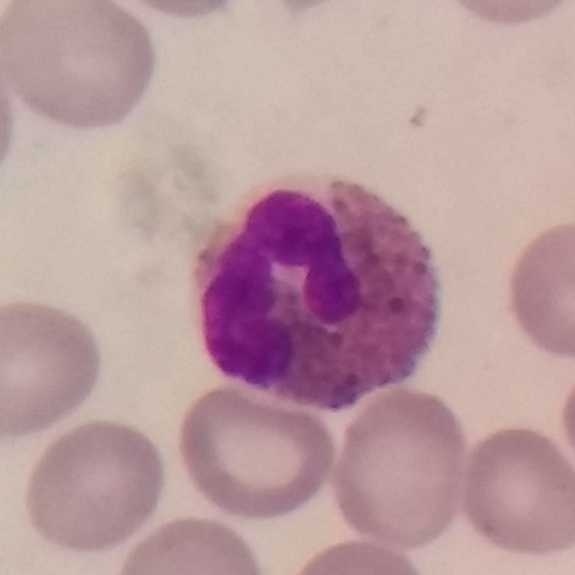
Specimen: peripheral blood film.
White blood cell type: eosinophil.
Lineage: myeloid.